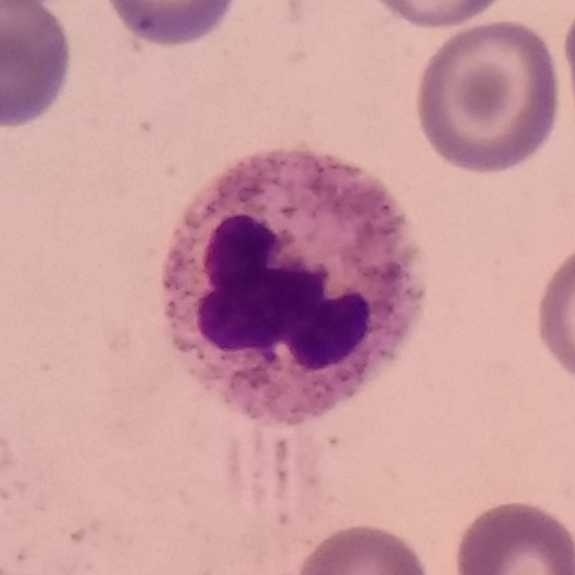Morphology — neutrophil. Context: Peripheral blood film.